Photographed through a light microscope with a smartphone camera · peripheral blood smear:
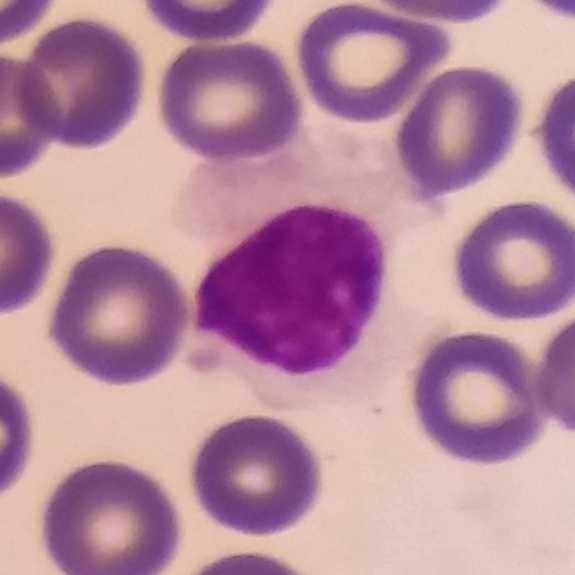
{"cell_type": "lymphocyte"}